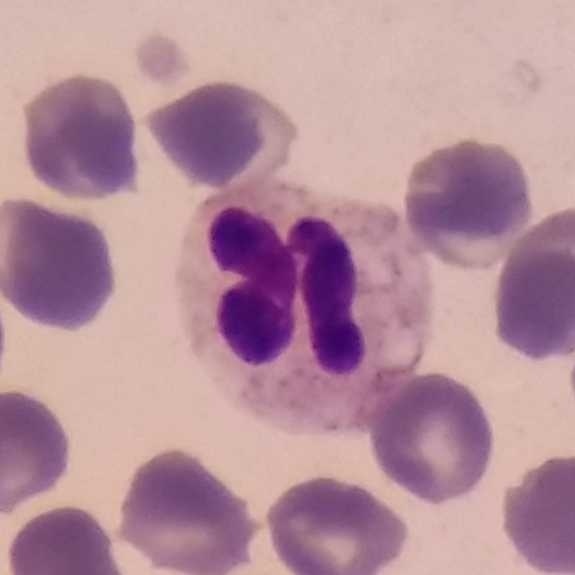

The white blood cell in this image is a neutrophilic granulocyte.
Context: Peripheral blood film.